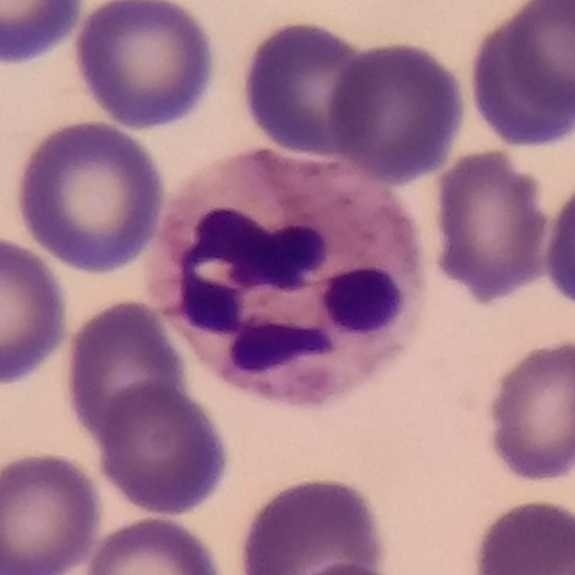

Single-cell crop from a peripheral blood smear: neutrophil granulocyte.